Giemsa stain. Peripheral blood film. Magnification 100×.
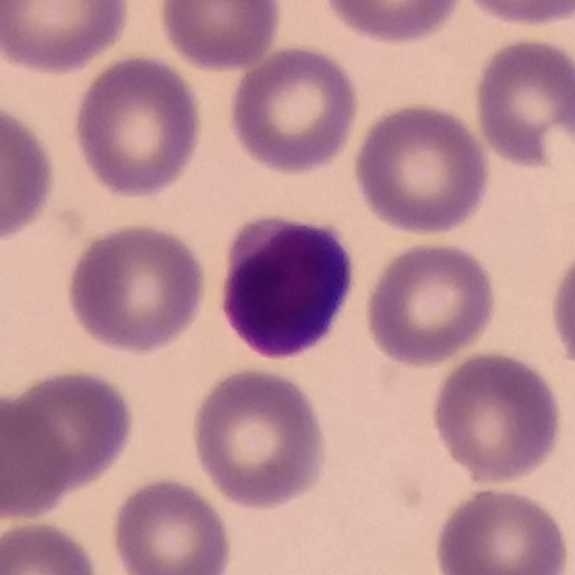 The white blood cell in this image is a lymphocyte.